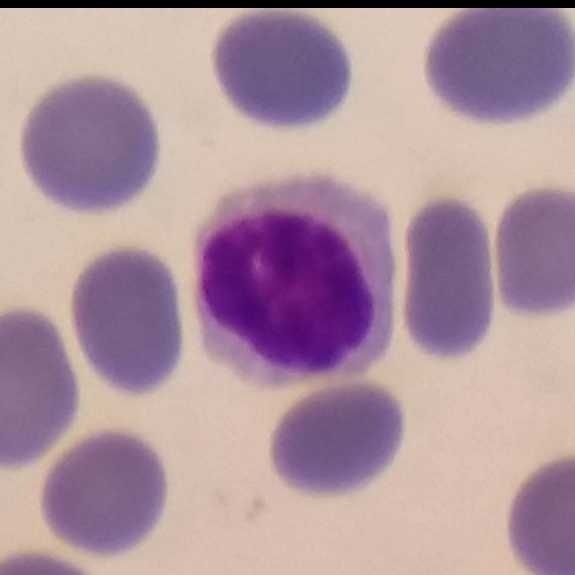

{"cell_type": "lymphocyte"}
Acquisition: Peripheral blood smear.